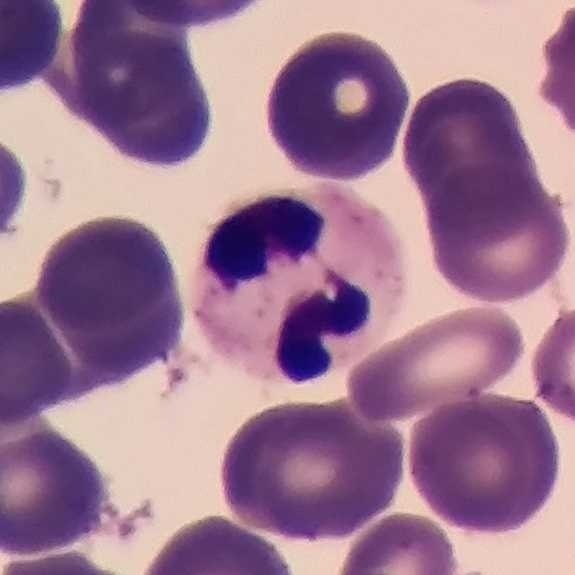Q: What type of cell is this?
A: A neutrophil granulocyte.

Peripheral blood smear; 100× magnification; phone-camera image taken through the microscope ocular.